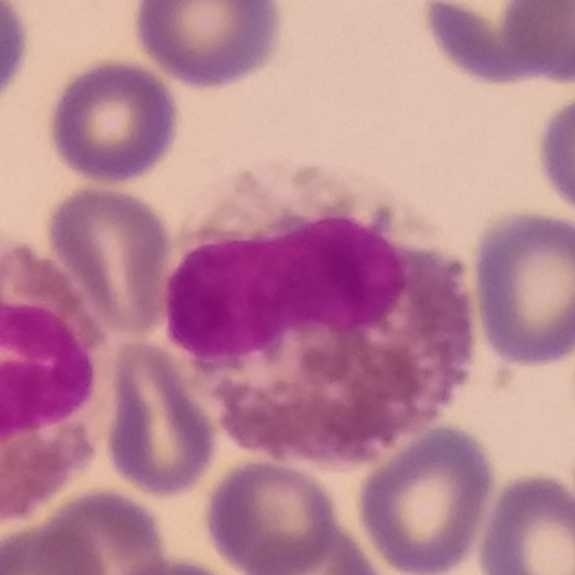
White blood cell from a peripheral blood smear: eosinophilic granulocyte.